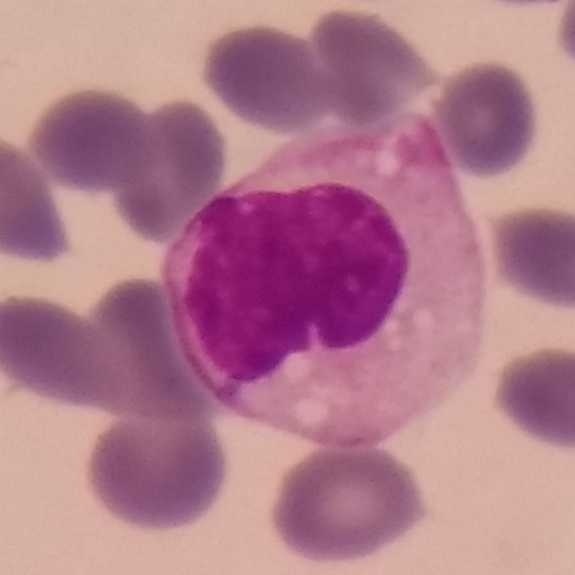 The cell type is monocyte.